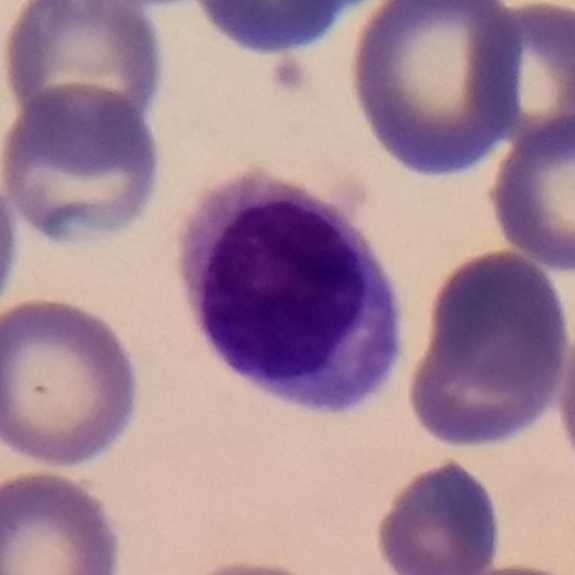Showing a lymphocyte. Context: Peripheral blood smear · 575 by 575 pixels.